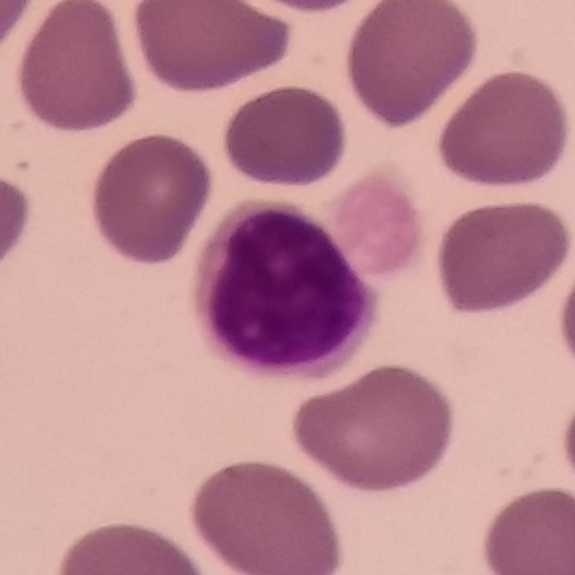 Context: Peripheral blood film.

Single cell identified as a lymphocyte.